Magnification 100×. Cropped to one leukocyte. Peripheral blood film — 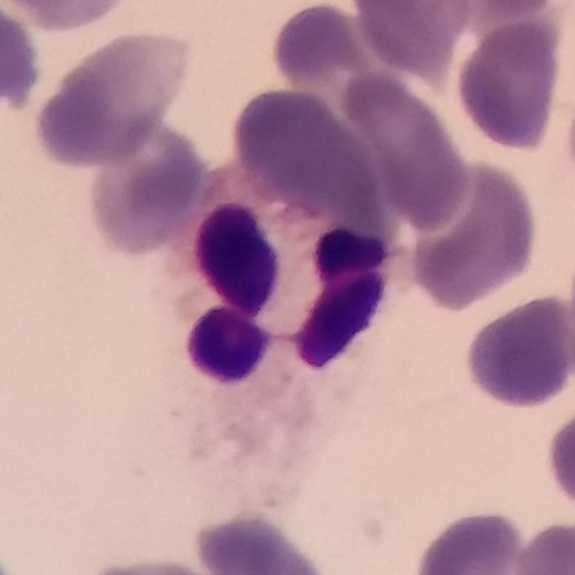 Q: Classify this leukocyte.
A: It is a neutrophilic granulocyte.